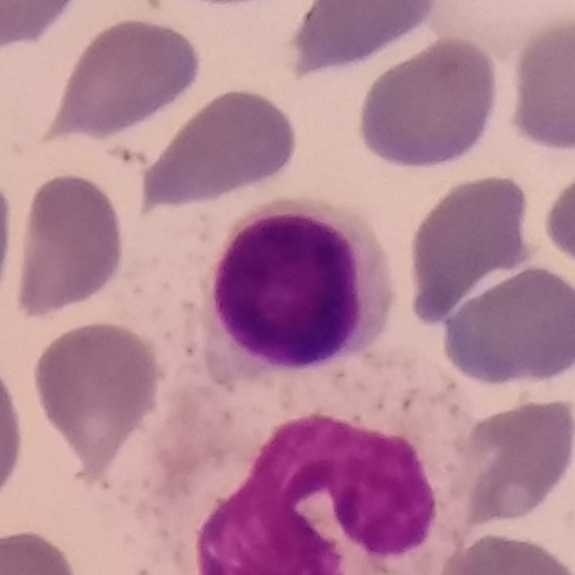Morphology — lymphocyte. Peripheral blood smear.